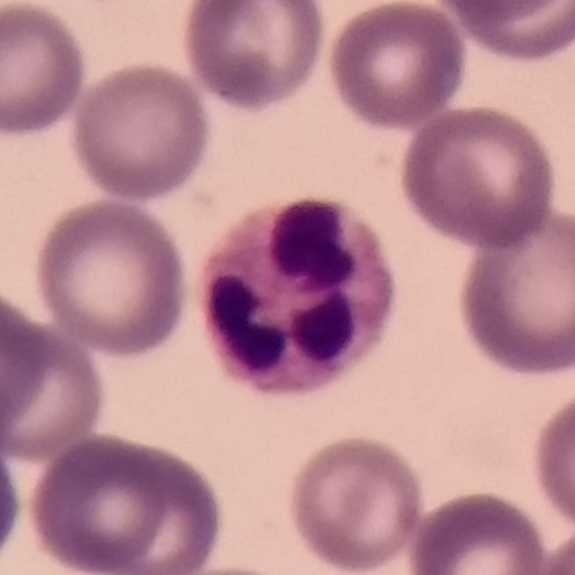
Peripheral blood smear showing a neutrophil.